575×575; peripheral blood smear.
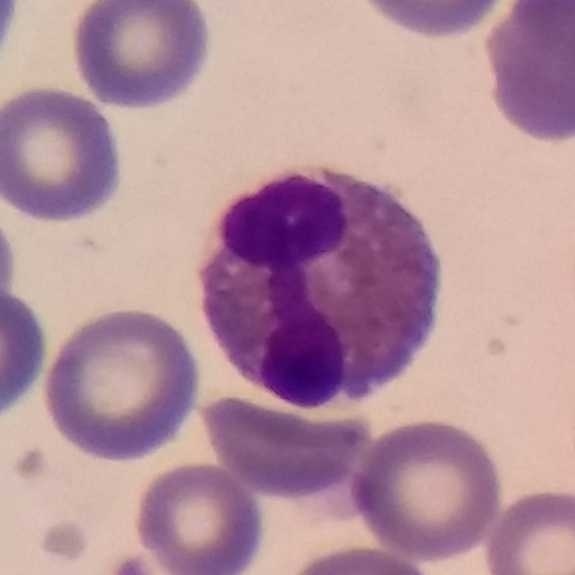
Impression → eosinophil.